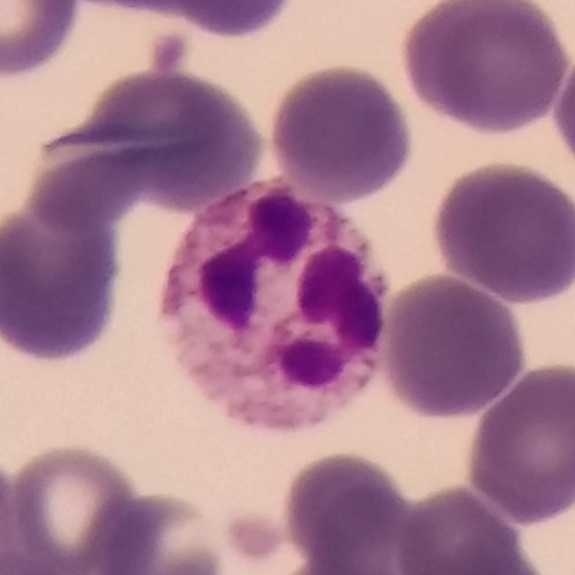Showing a neutrophil. Peripheral blood smear · 575×575 px · magnification 100×.